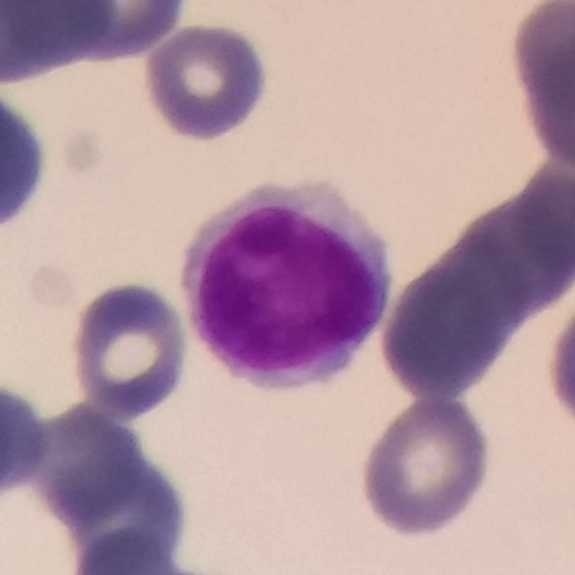White blood cell from a peripheral blood smear: lymphocyte.